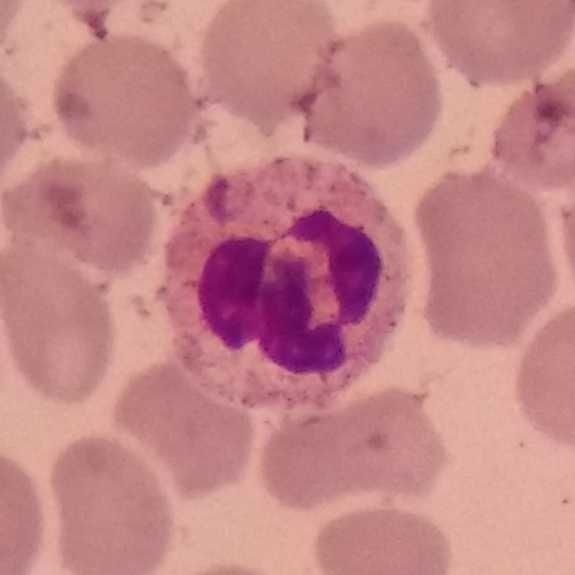Morphology — neutrophil.